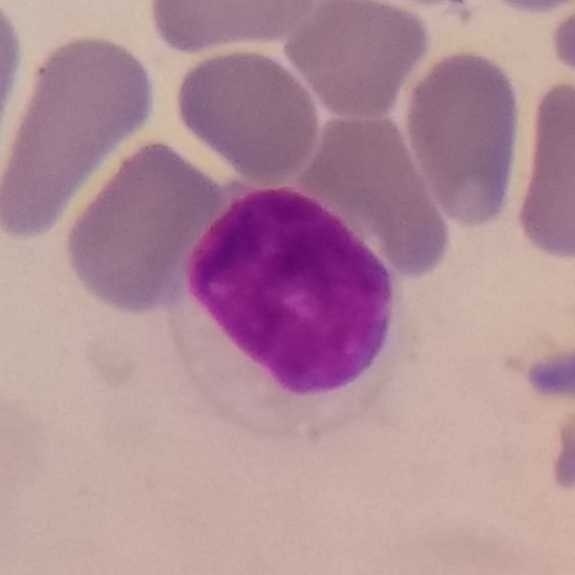

Cell — lymphocyte.